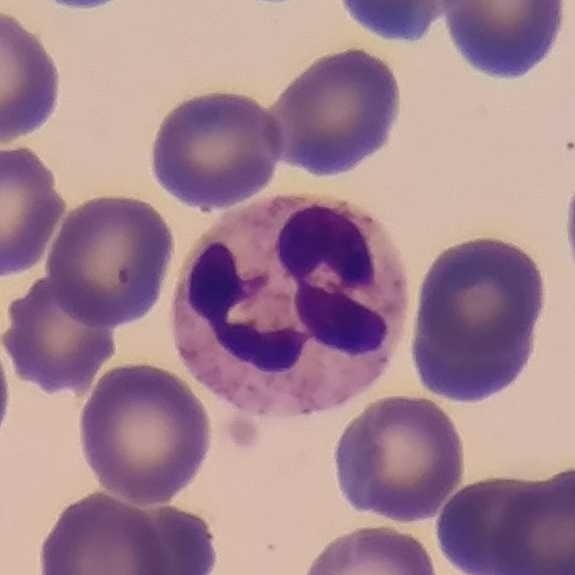 {"cell_type": "neutrophil granulocyte", "lineage": "myeloid"}